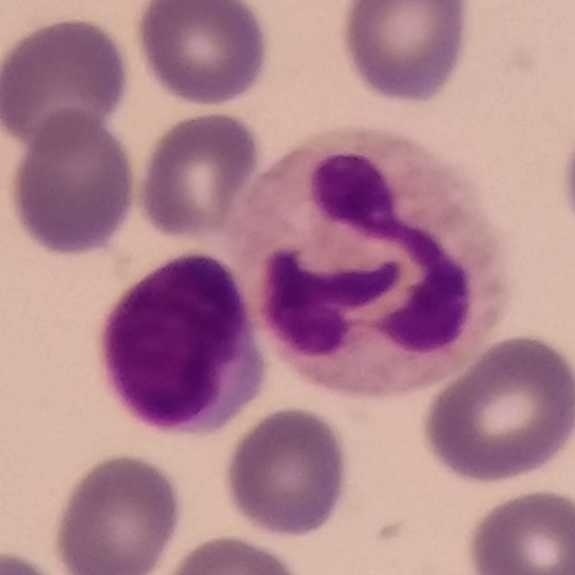
Preparation: Peripheral blood smear. Cell — neutrophil granulocyte.